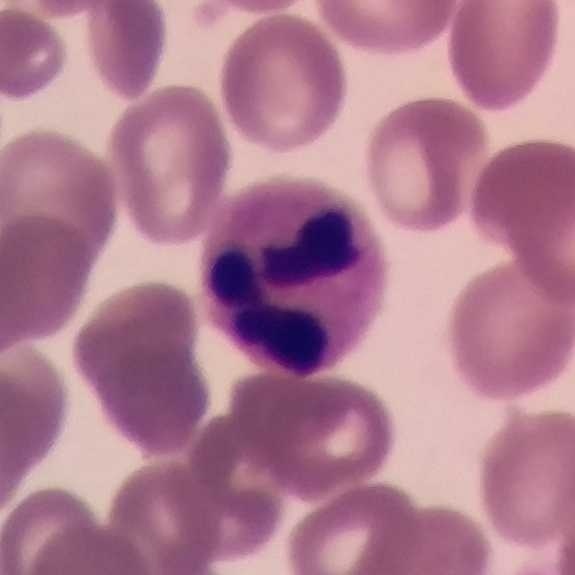

The cell is neutrophil.

Acquisition: 575×575; smartphone photomicrograph; peripheral blood film.